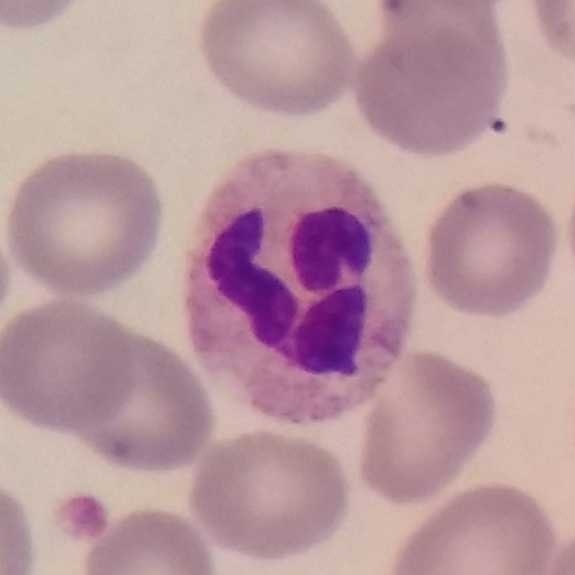 Impression → neutrophilic granulocyte.
Acquisition: Peripheral blood smear; 575 by 575 pixels.